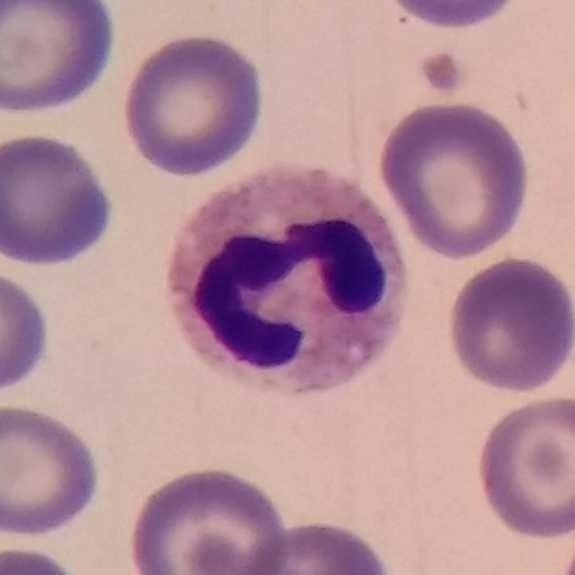The morphological class is neutrophil. Image: Peripheral blood smear.